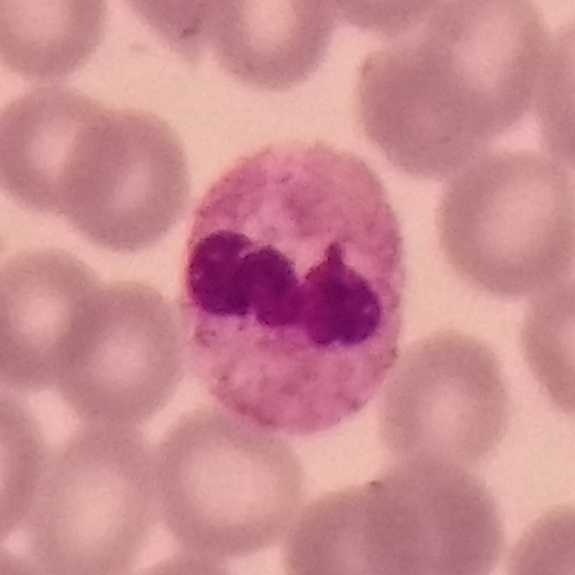

Imaged at 100× · peripheral blood smear · 575×575 px.

Identified as a neutrophil.